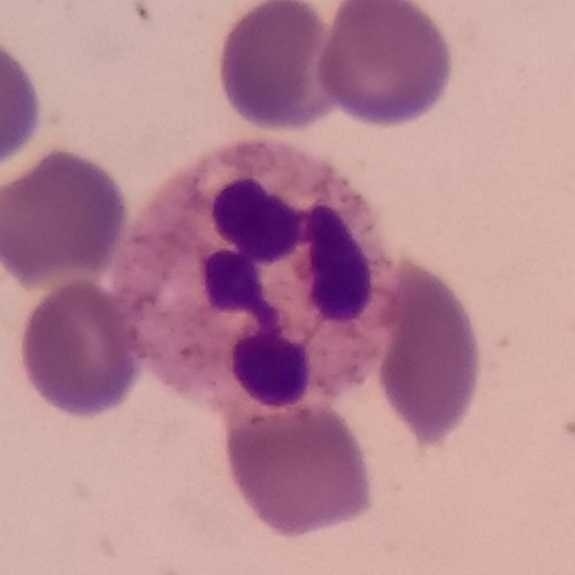Image: Peripheral blood smear.

Q: What is the morphological classification of this cell?
A: A neutrophil.